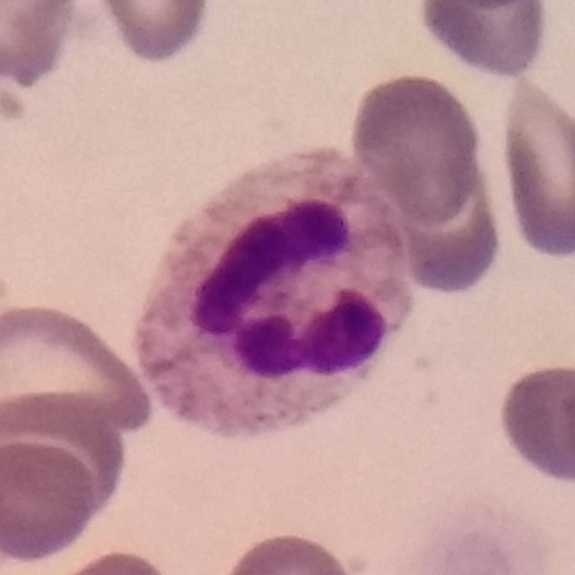
{"cell_type": "neutrophil", "lineage": "myeloid"}